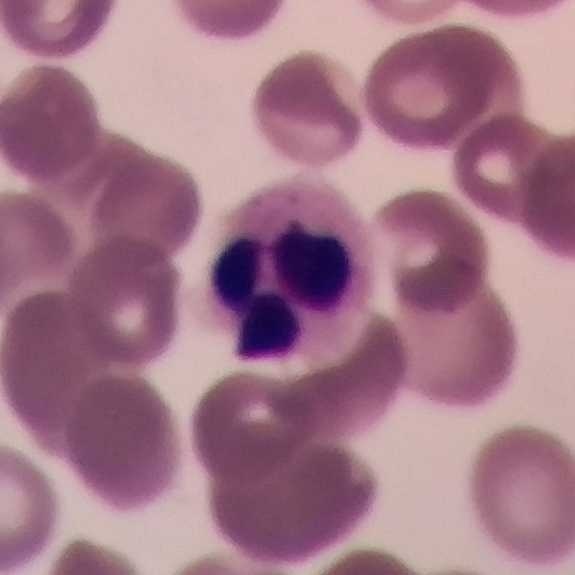

Q: Which cell type is shown here?
A: This is a neutrophil.
Preparation: Peripheral blood smear · stained with Giemsa.